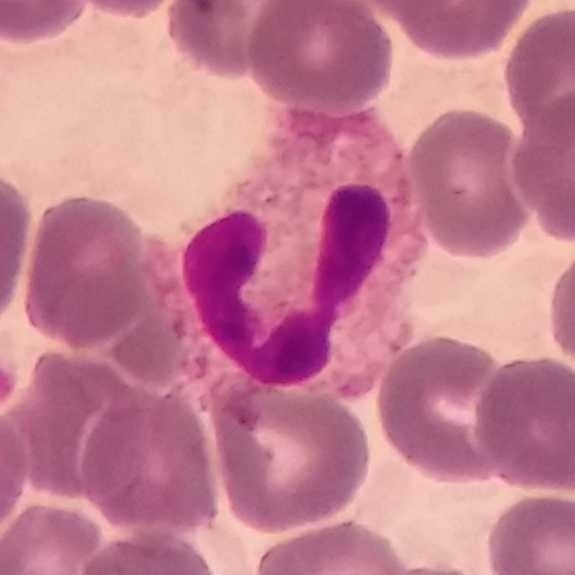

Peripheral blood smear.

Q: What is this?
A: This is a neutrophil.